Peripheral blood smear. Magnification 100×. Cropped to one leukocyte.
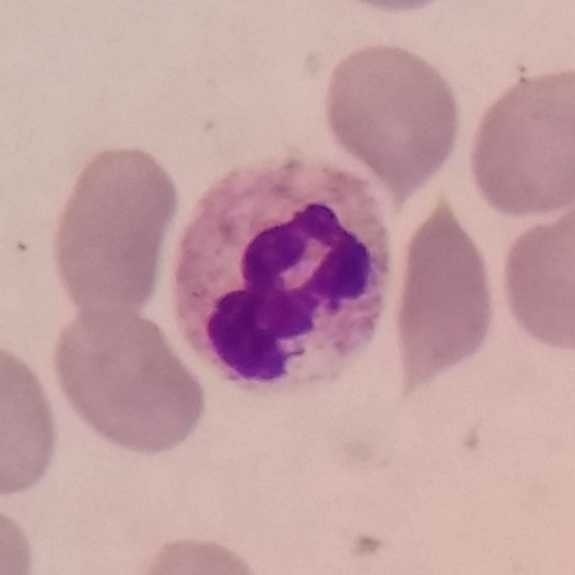

Morphological class = neutrophil.